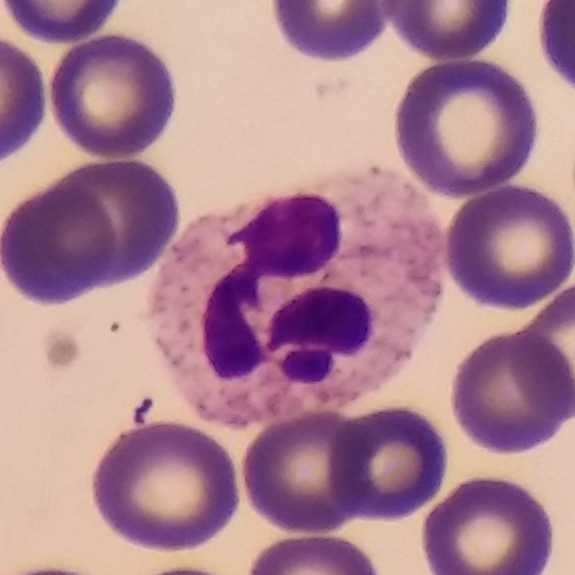

Q: What is shown here?
A: Neutrophil.